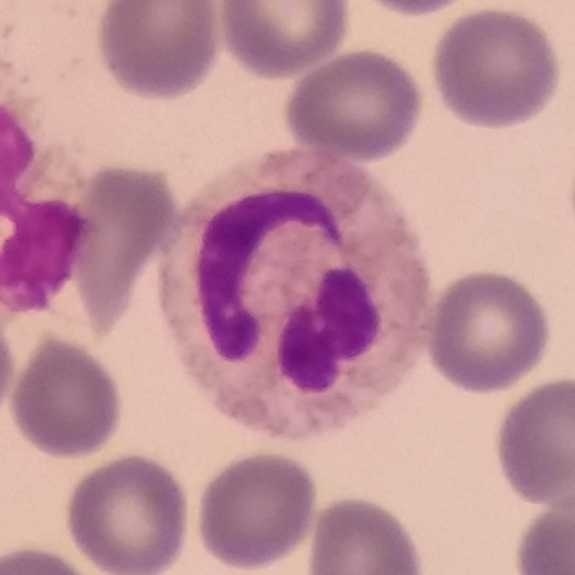 From a peripheral blood smear: a neutrophil.